Peripheral blood film. 575×575 px
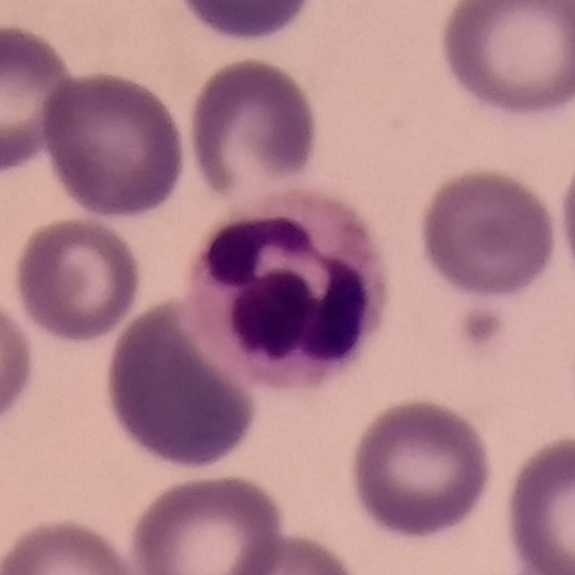Classification — neutrophil granulocyte.